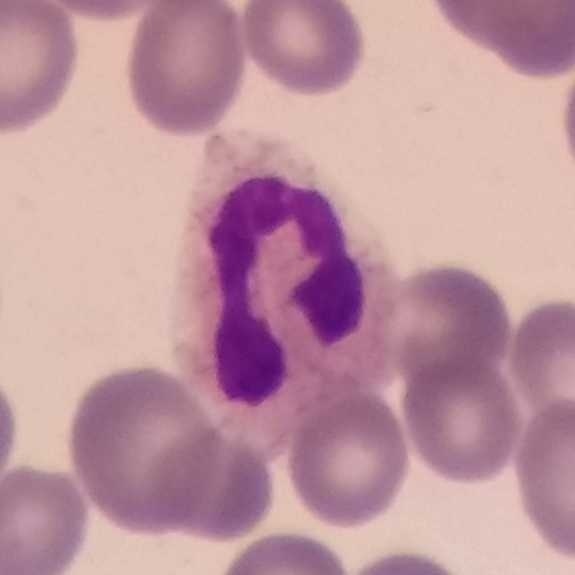Image: Peripheral blood smear; 575×575.

Classification — neutrophil.